Single-cell field · peripheral blood smear.
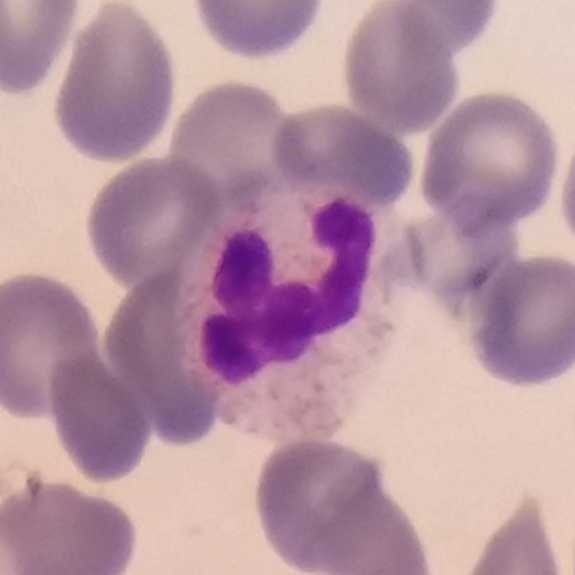

Q: Identify the cell.
A: It is a neutrophil.